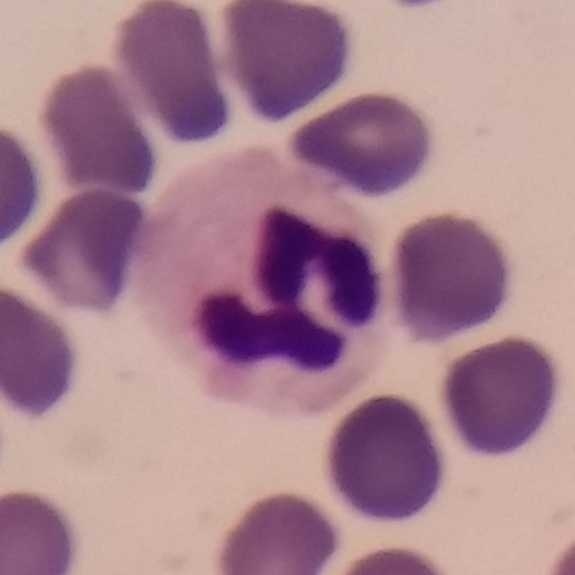Specimen: peripheral blood smear.
White blood cell type: neutrophil.
Lineage: myeloid.